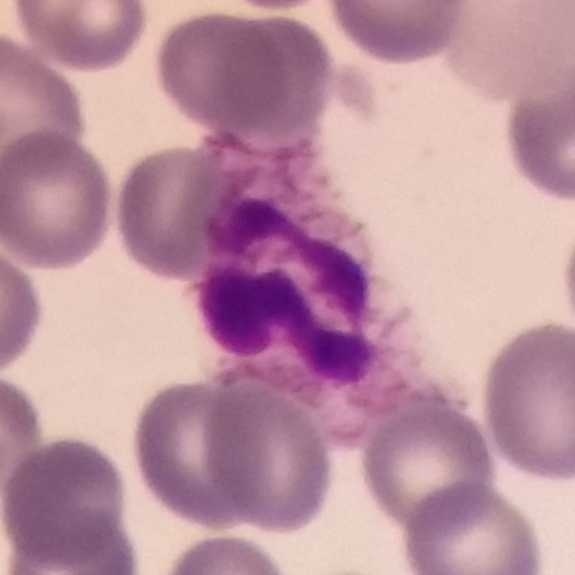 Peripheral blood smear showing a neutrophilic granulocyte.